Peripheral blood smear:
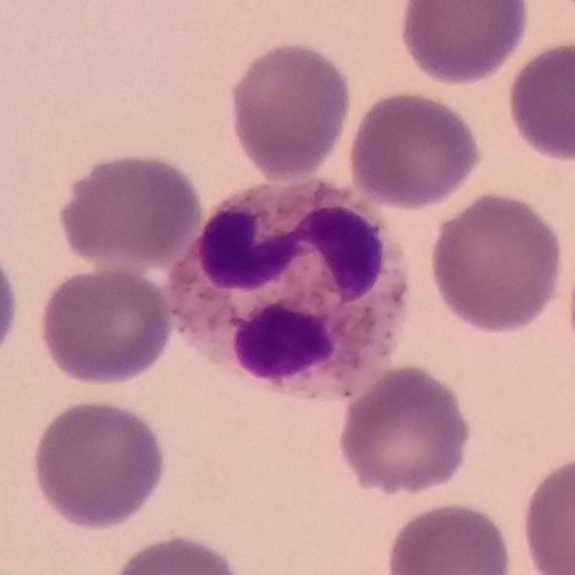
The morphological class is neutrophil granulocyte.